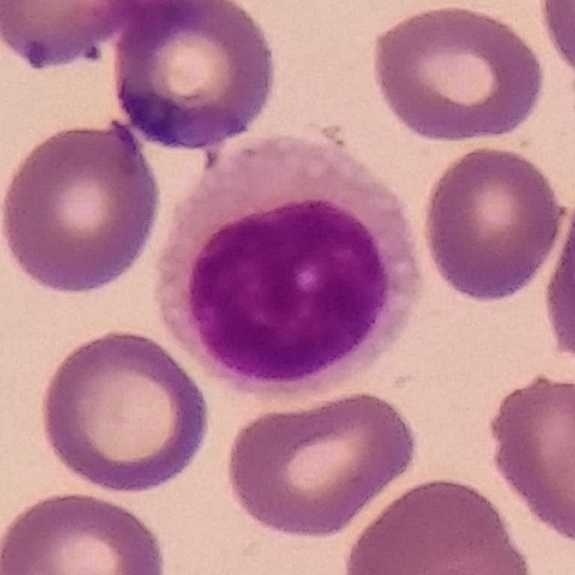Image: Phone-camera image taken through the microscope ocular. Peripheral blood film.
White blood cell type — lymphocyte.